Peripheral blood smear — 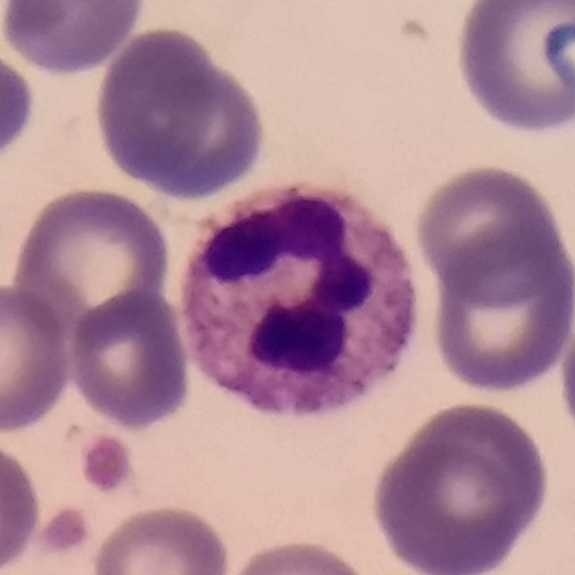
Q: What is shown here?
A: It is a neutrophil.